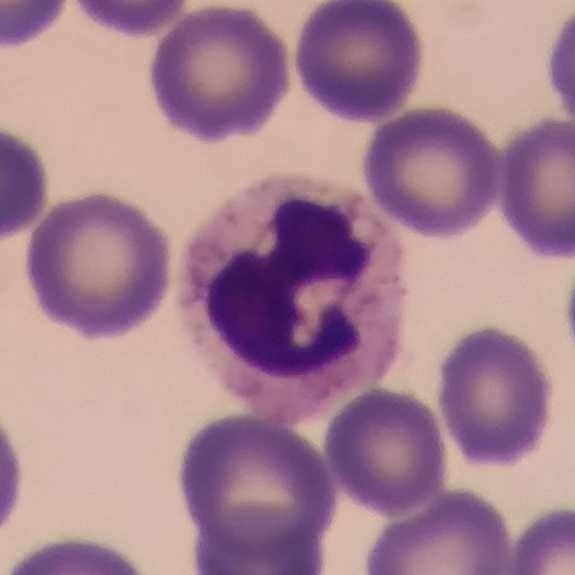
Specimen: peripheral blood film.
Cell: neutrophil.
Lineage: myeloid.